Peripheral blood smear — 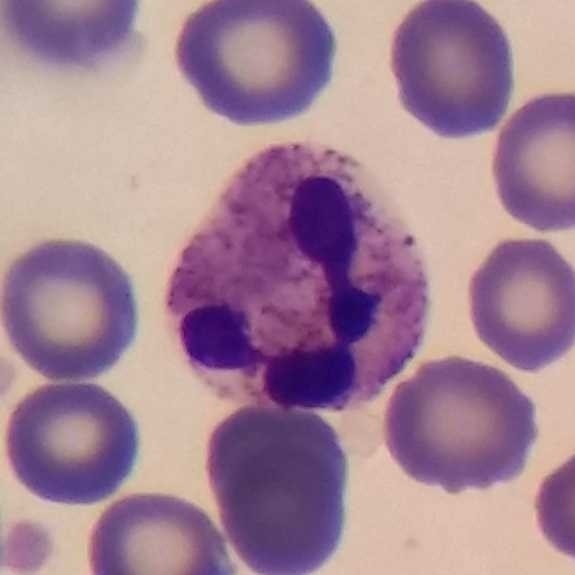
Showing a neutrophilic granulocyte.